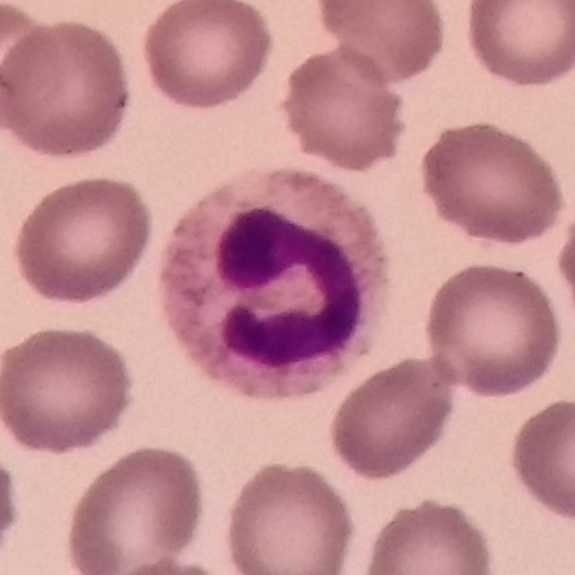
Magnification 100×. 575×575. Peripheral blood smear.
{"cell_type": "neutrophilic granulocyte"}